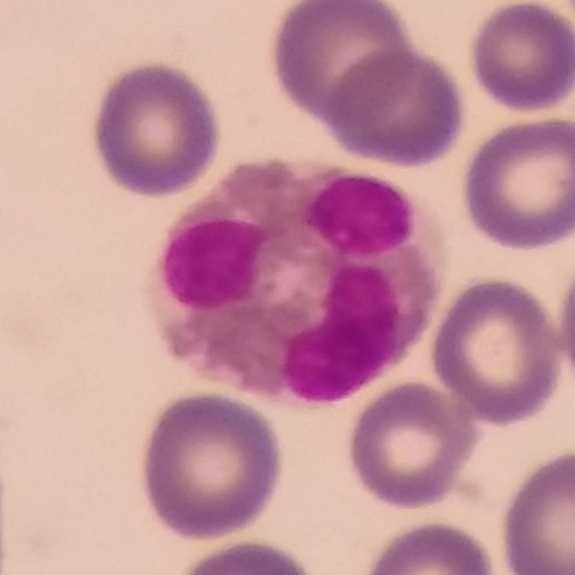The white blood cell type is eosinophilic granulocyte.